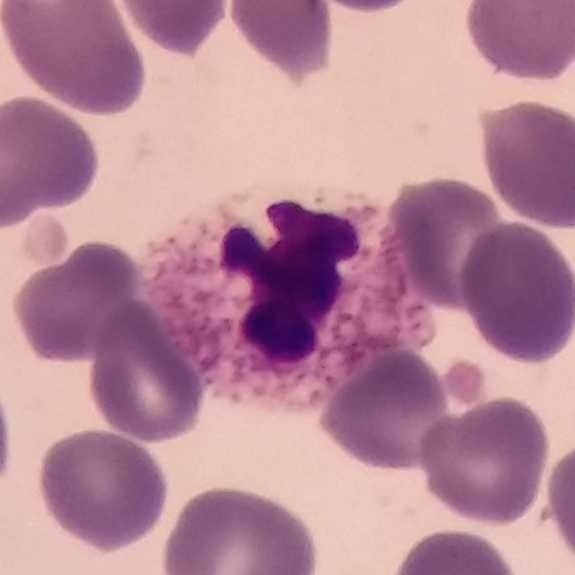Peripheral blood smear showing a neutrophil.